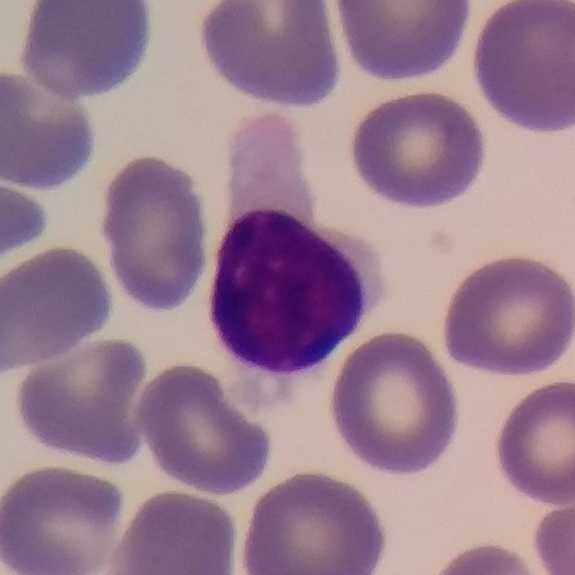 From a peripheral blood smear: a lymphocyte.